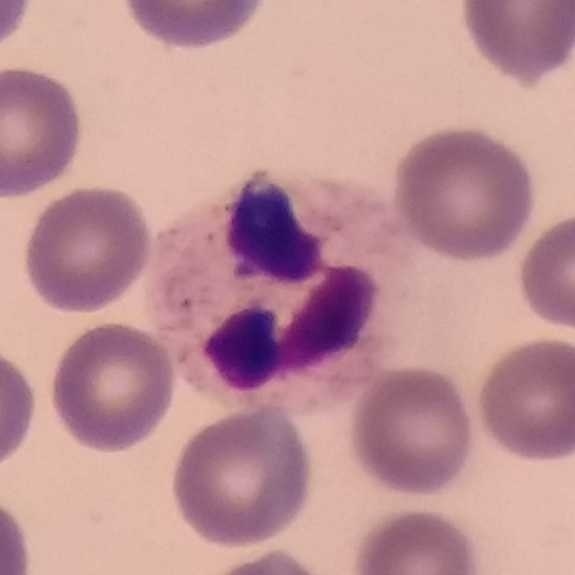 White blood cell type = neutrophil granulocyte.